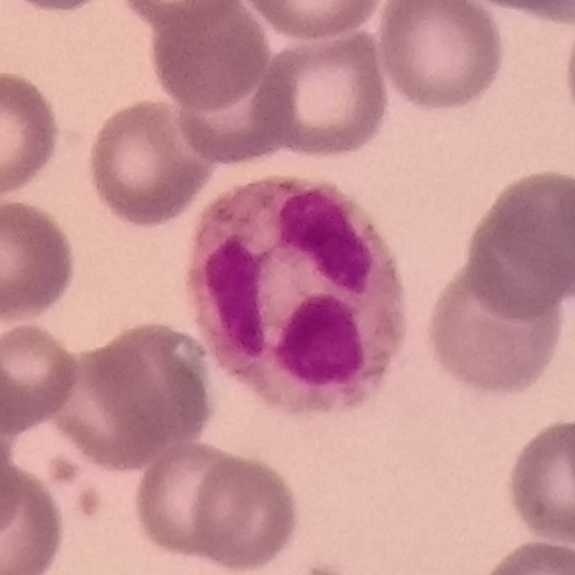 {"cell_type": "neutrophil granulocyte", "lineage": "myeloid"}